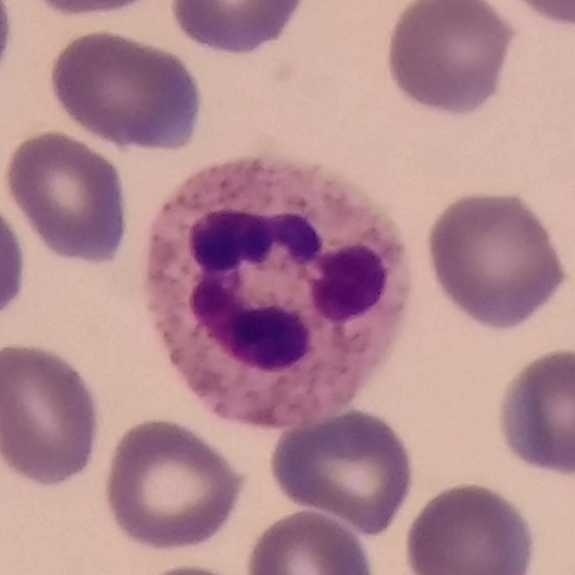
Peripheral blood smear. Impression — neutrophilic granulocyte.